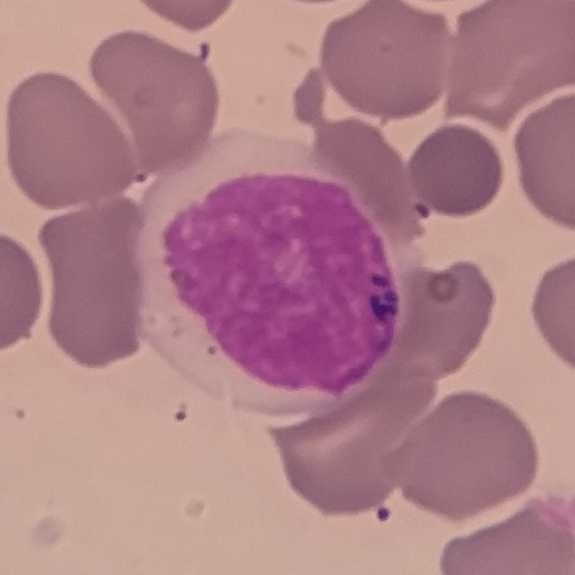

Impression → monocyte.